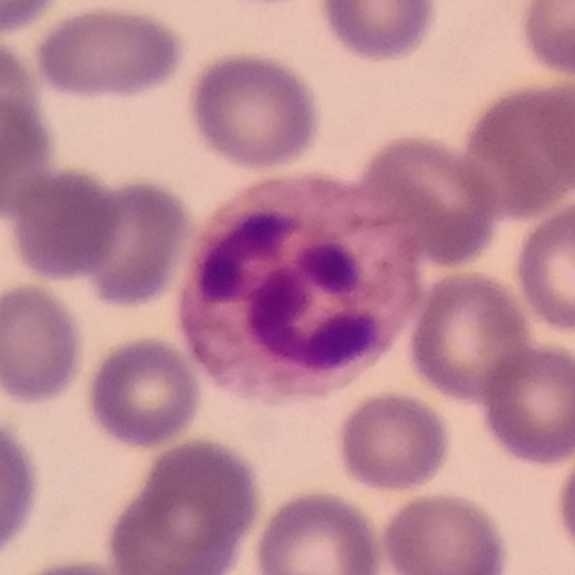

Q: Which cell type is shown here?
A: A neutrophil. Context: Single-cell crop. Peripheral blood film.